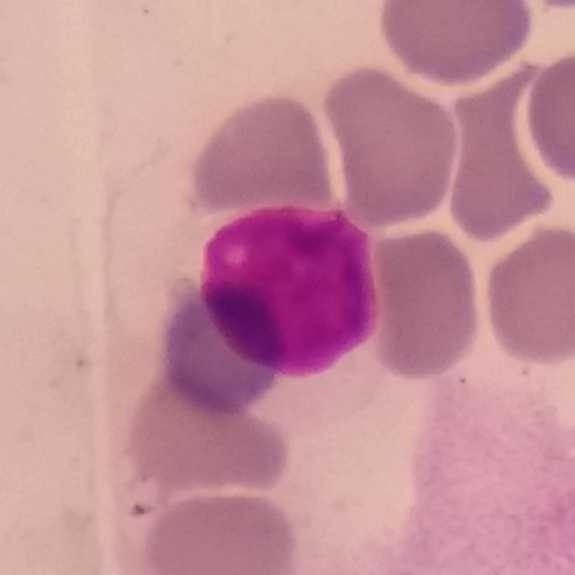
Single-cell crop from a peripheral blood smear: lymphocyte.